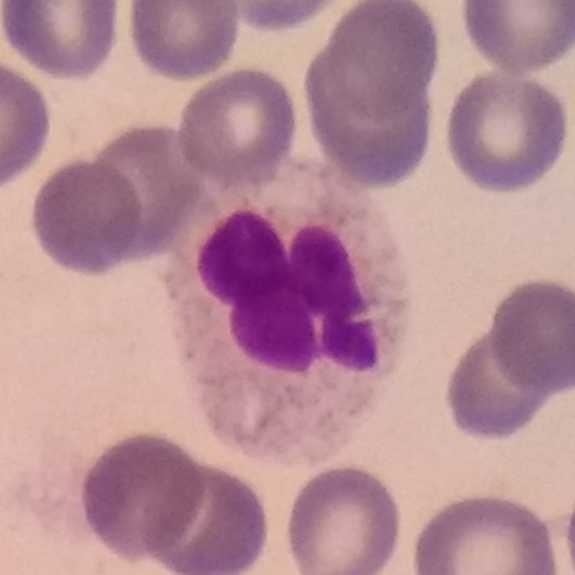

Acquisition: Peripheral blood smear. 100× magnification.

White blood cell type — neutrophilic granulocyte.